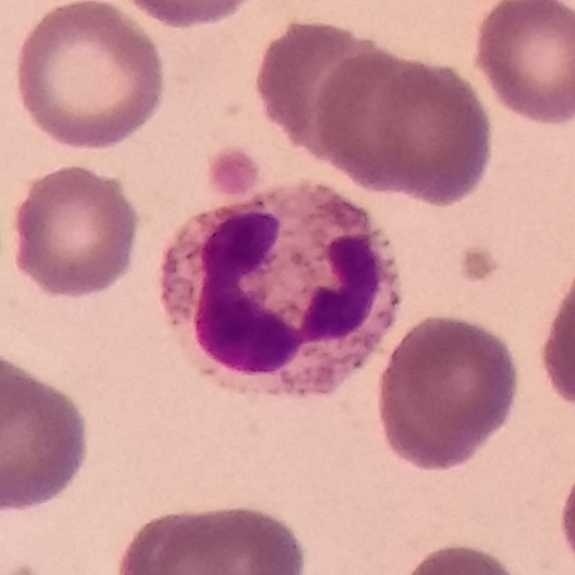 Acquisition: Image size 575×575; peripheral blood film.
This is a neutrophil.